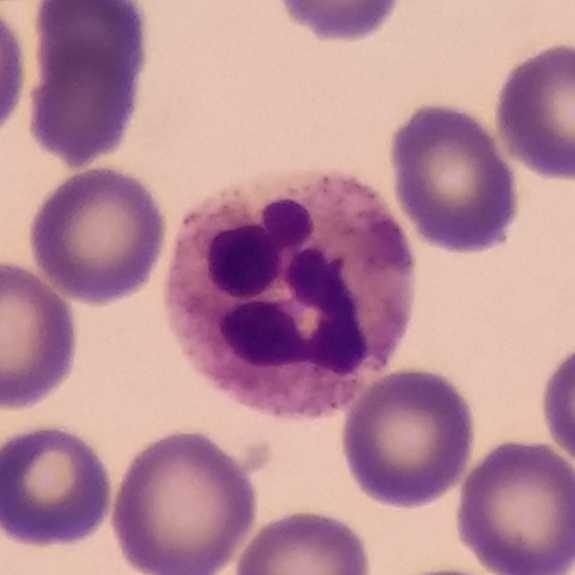
White blood cell type = neutrophil.

Preparation: Single-cell crop. 575 by 575 pixels. Peripheral blood film.